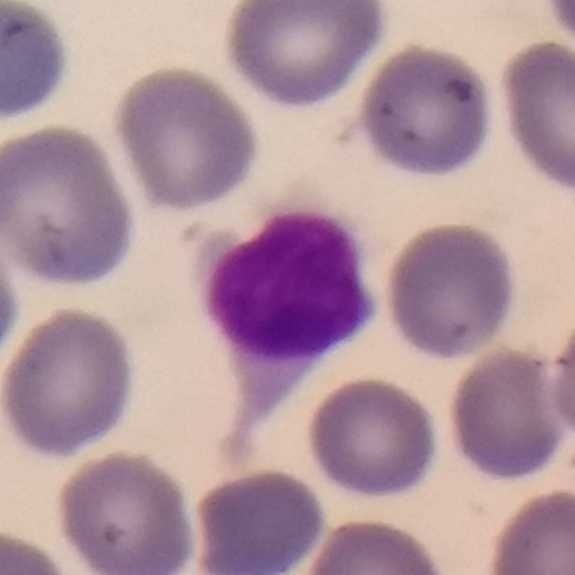

Morphology — lymphocyte.